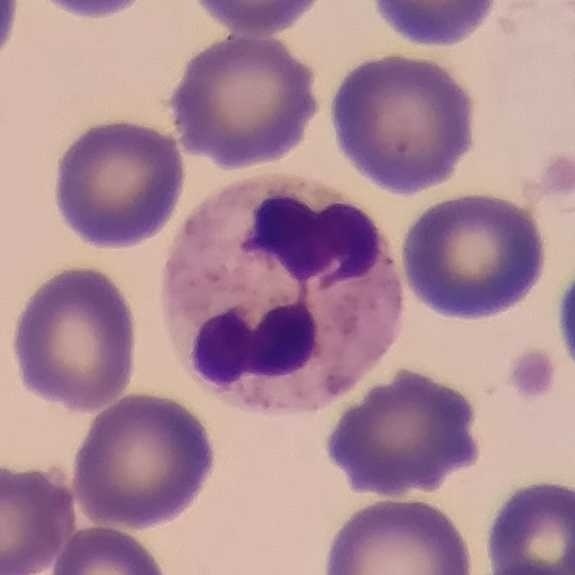Morphological class — neutrophilic granulocyte. Preparation: Peripheral blood smear.